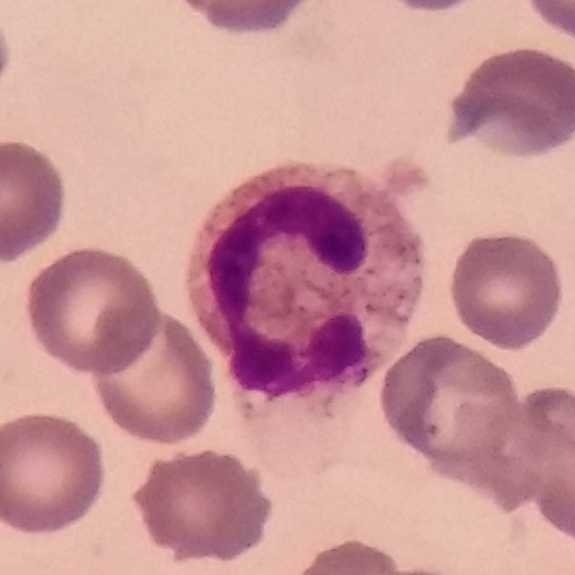The white blood cell in this image is a neutrophil.